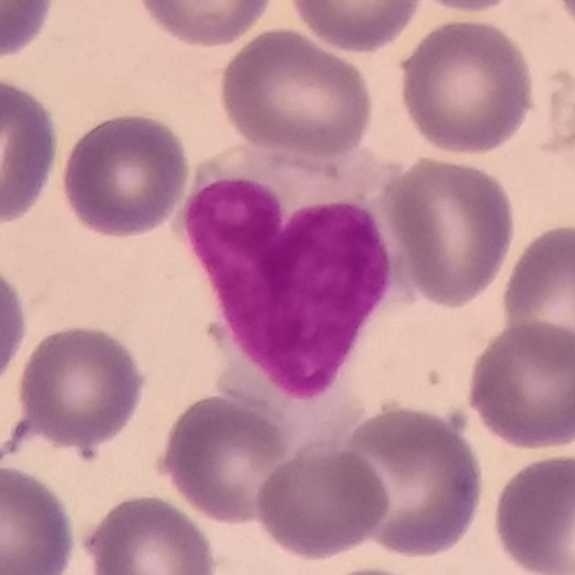
Cell type — monocyte. Peripheral blood film; photographed through a light microscope with a smartphone camera.